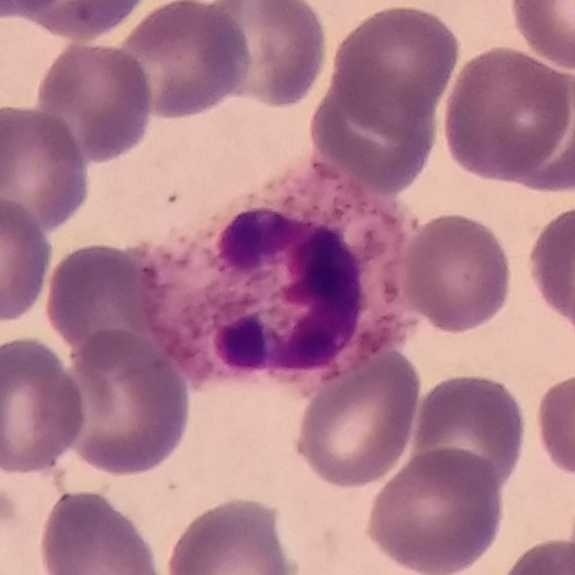
A neutrophil.

Giemsa-stained; peripheral blood smear.